Peripheral blood film — 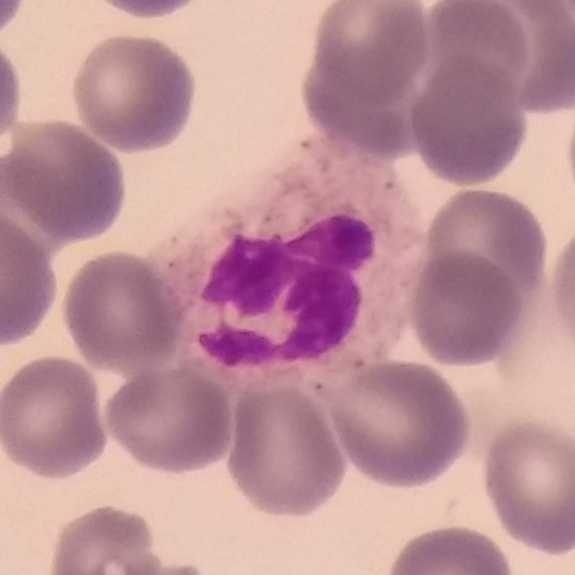 Morphology — neutrophilic granulocyte.